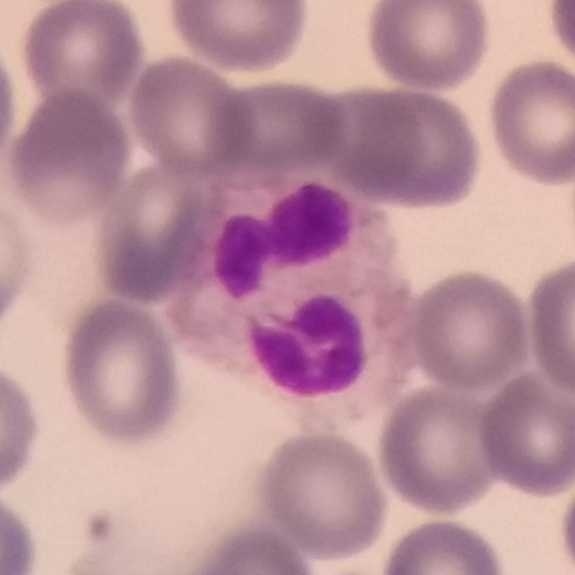575×575 px; single-cell crop; peripheral blood smear.
Q: What is this?
A: A neutrophilic granulocyte.